100× magnification; peripheral blood smear; single-cell field.
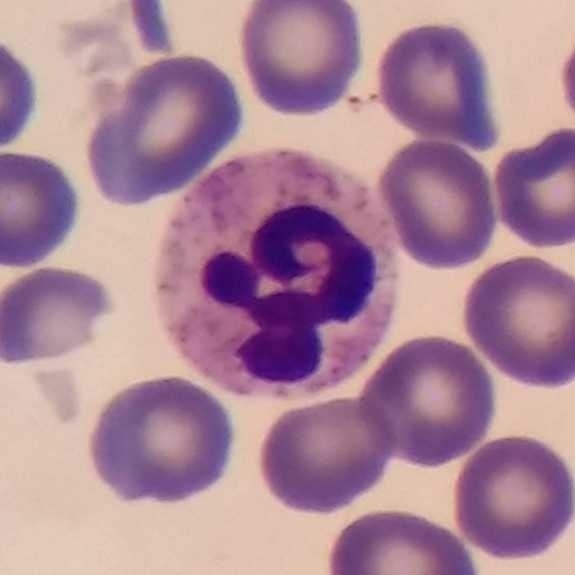

The cell is neutrophilic granulocyte.